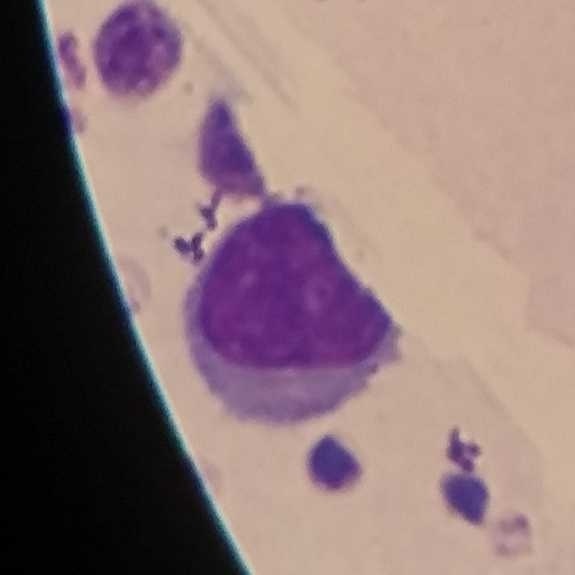
Context: Giemsa stain · peripheral blood smear.
Q: What type of cell is this?
A: It is a lymphocyte.